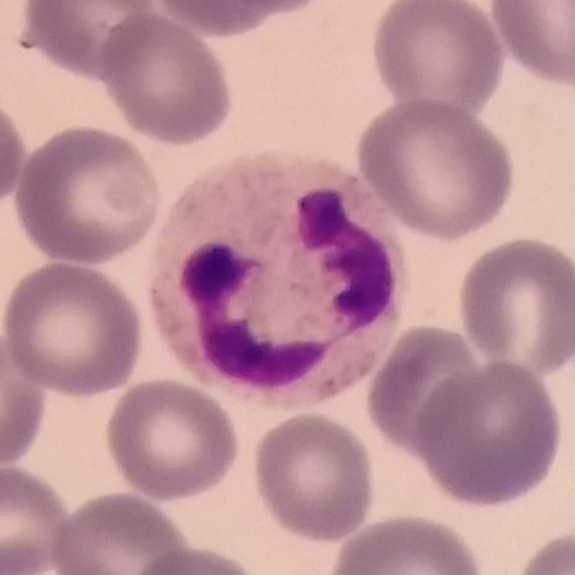

Morphology — neutrophil.